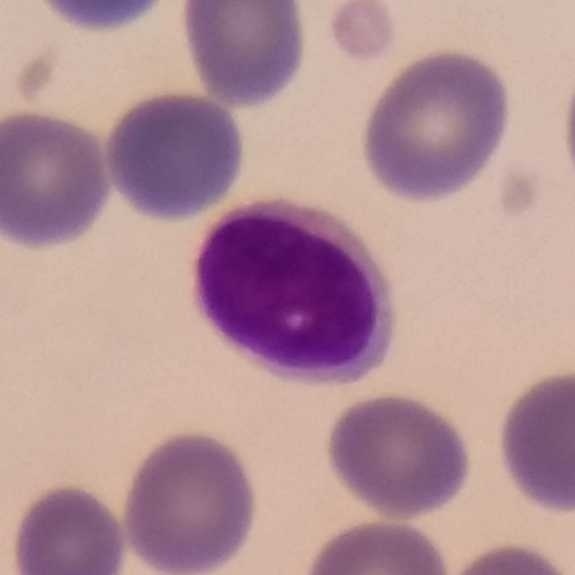Single-cell crop from a peripheral blood smear: lymphocyte.